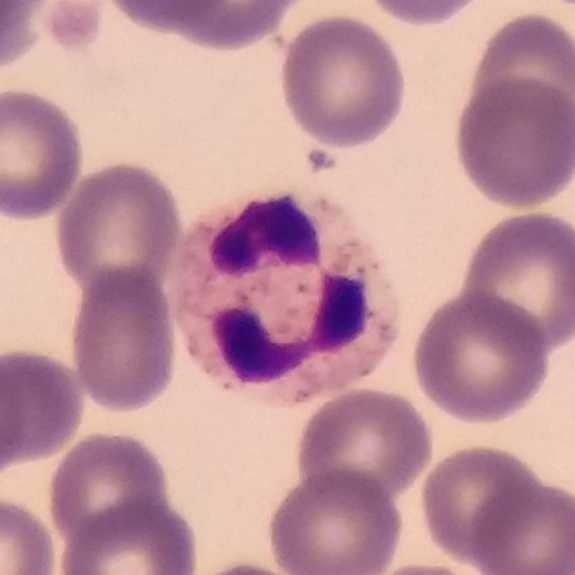

Preparation: Peripheral blood smear.
Impression — neutrophil granulocyte.